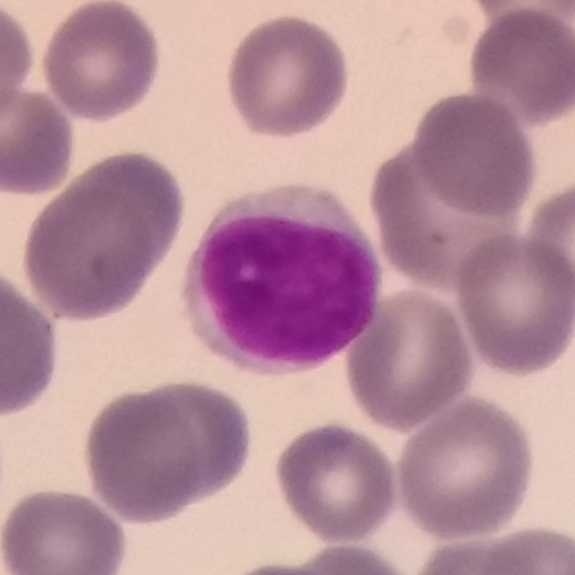Cell type — lymphocyte.